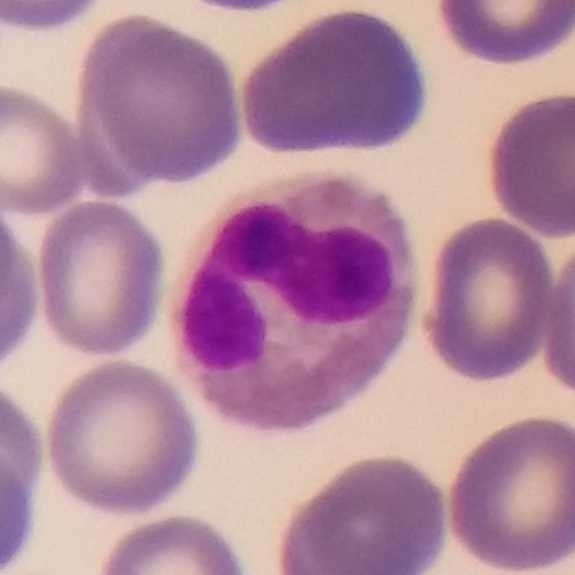Context: Imaged at 100×. Peripheral blood film. 575×575 px. {"cell_type": "eosinophilic granulocyte", "lineage": "myeloid"}